Peripheral blood smear.
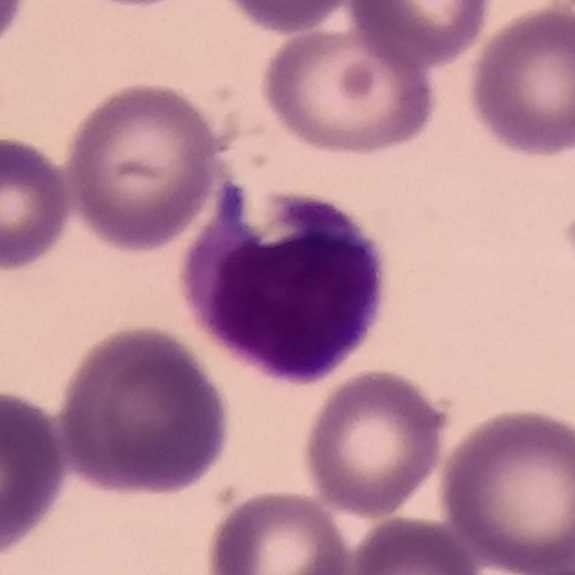
Single cell identified as a lymphocyte.